Peripheral blood film: 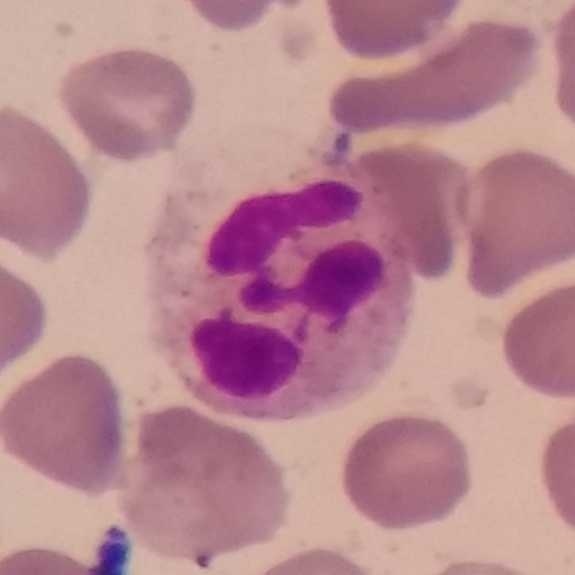
Q: Which type of white blood cell is this?
A: It is a neutrophil granulocyte.